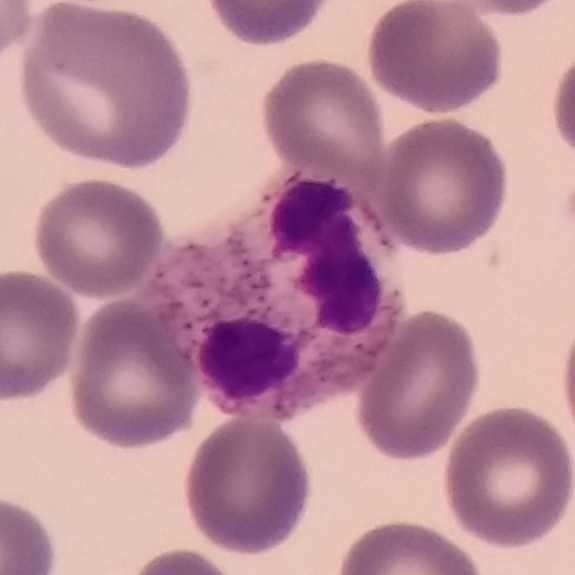
Preparation: 575×575 px; peripheral blood smear.
The white blood cell in this image is a neutrophil granulocyte.